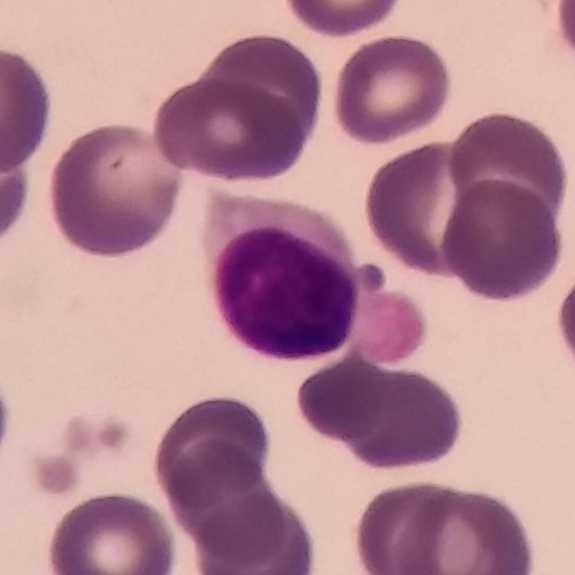{"cell_type": "lymphocyte", "lineage": "lymphoid"}

Peripheral blood film.